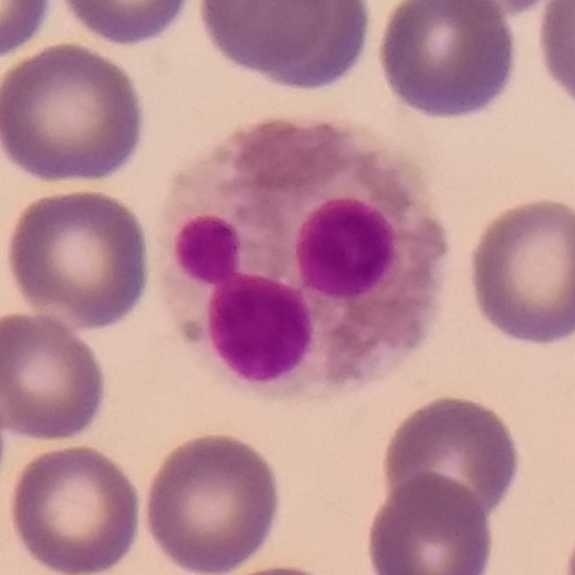
Specimen: peripheral blood film.
White blood cell type: eosinophil.